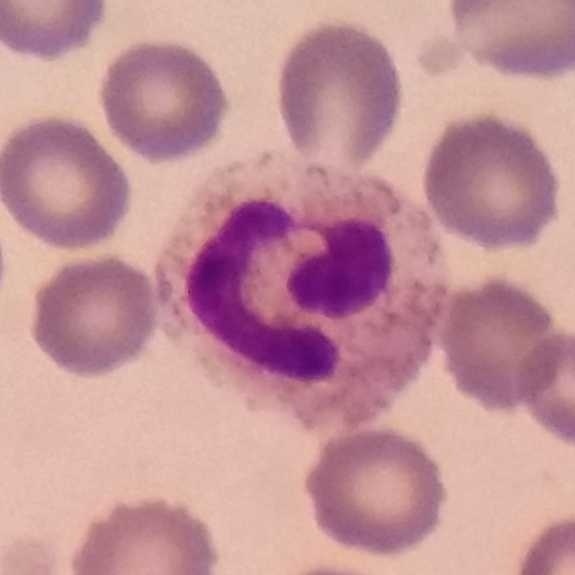
Context: Image size 575×575. Peripheral blood smear.
Q: What is shown here?
A: A neutrophil granulocyte.